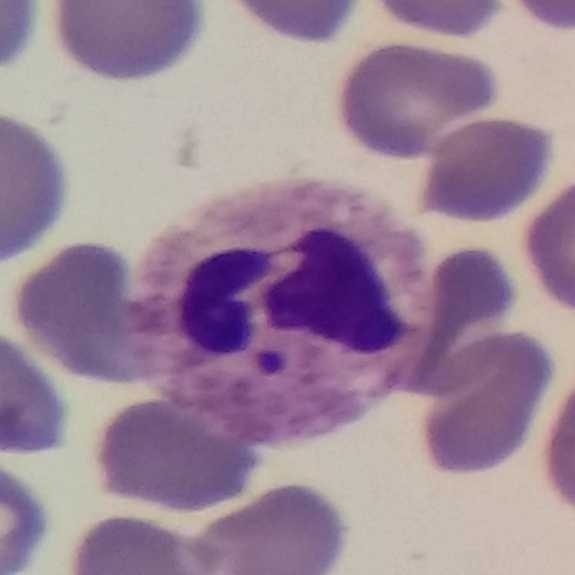 Q: Classify this leukocyte.
A: It is a neutrophil.